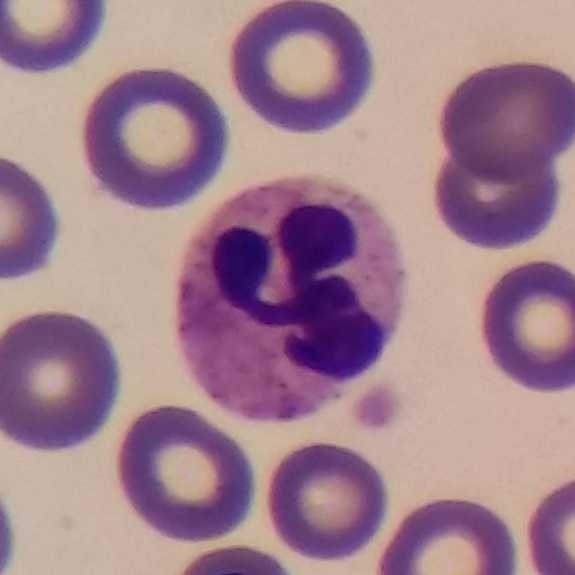
The white blood cell in this image is a neutrophil granulocyte. Context: Peripheral blood smear. Single-cell field. Smartphone photomicrograph.